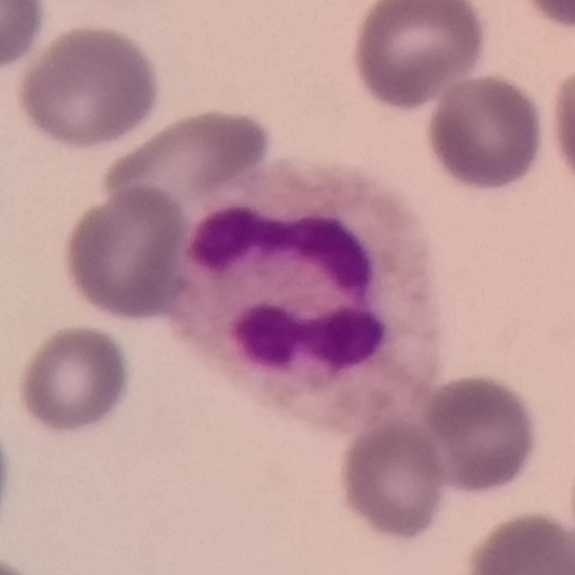 Acquisition: Peripheral blood film.
Q: Which cell type is shown here?
A: This is a neutrophilic granulocyte.